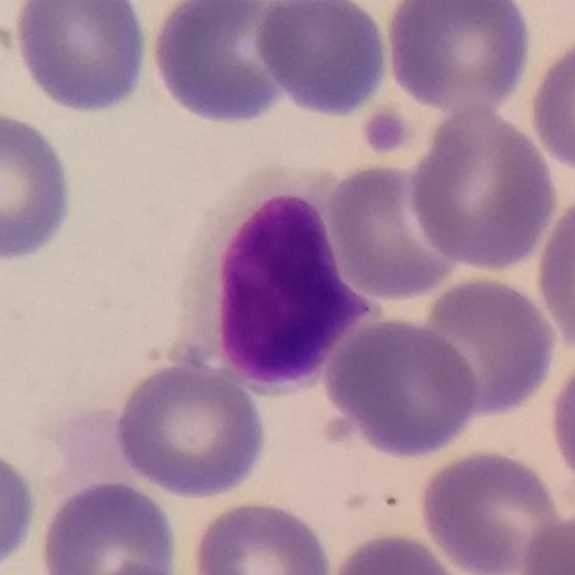Peripheral blood film. Imaged at 100×.
A lymphocyte.